Peripheral blood film. Giemsa-stained
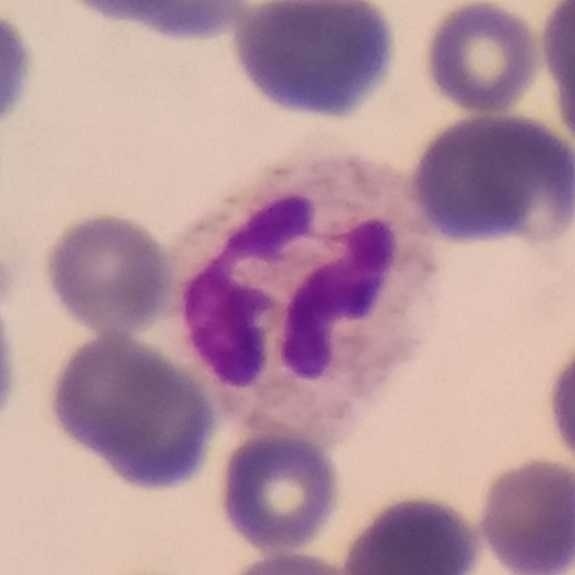
Specimen: peripheral blood smear.
Morphological class: neutrophilic granulocyte.